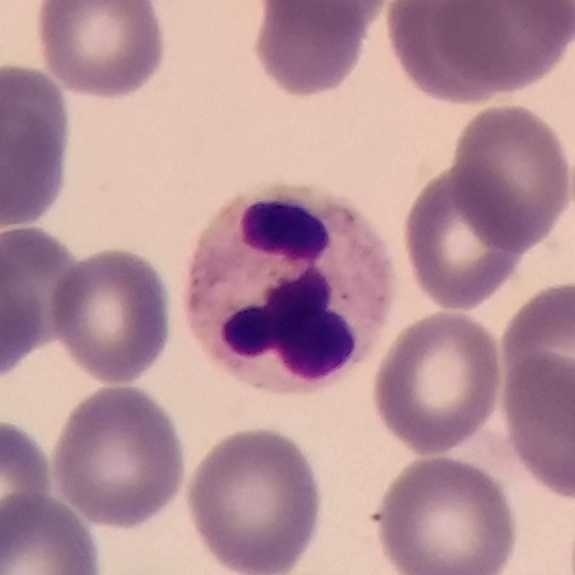
Image: Peripheral blood smear. This is a neutrophil.